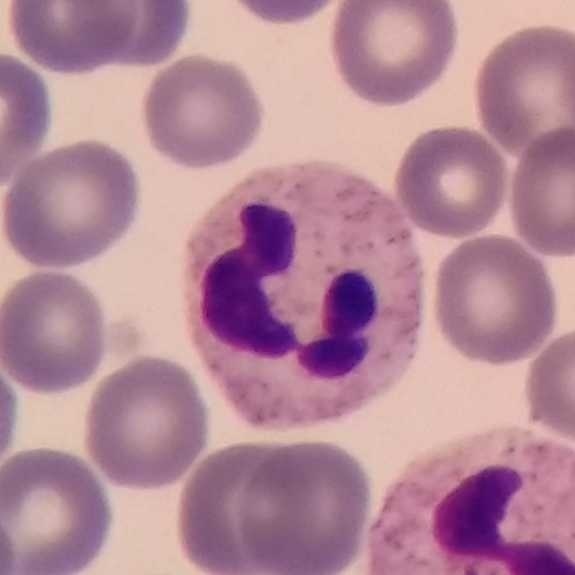

The cell shown is a neutrophil granulocyte.

Preparation: Peripheral blood film.